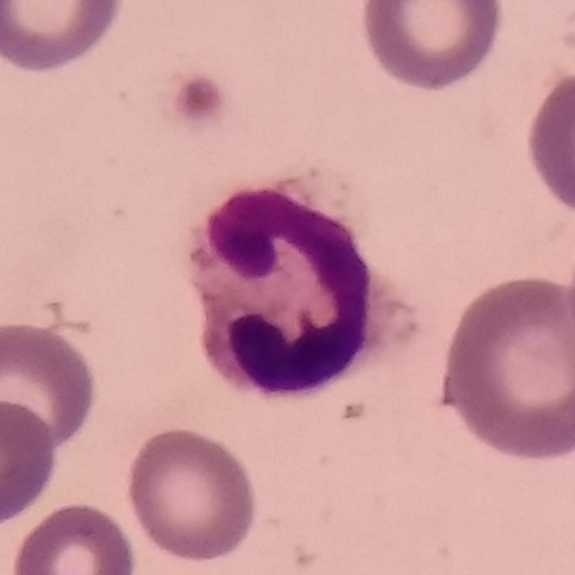 Morphology → neutrophilic granulocyte.

Peripheral blood film.